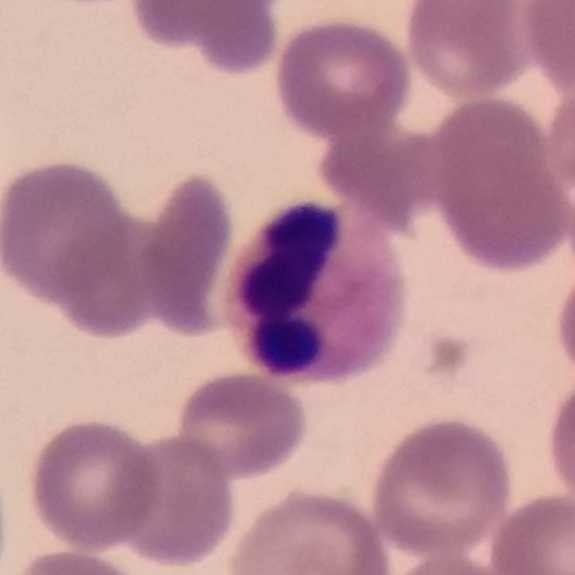
{"cell_type": "neutrophil granulocyte", "lineage": "myeloid"}